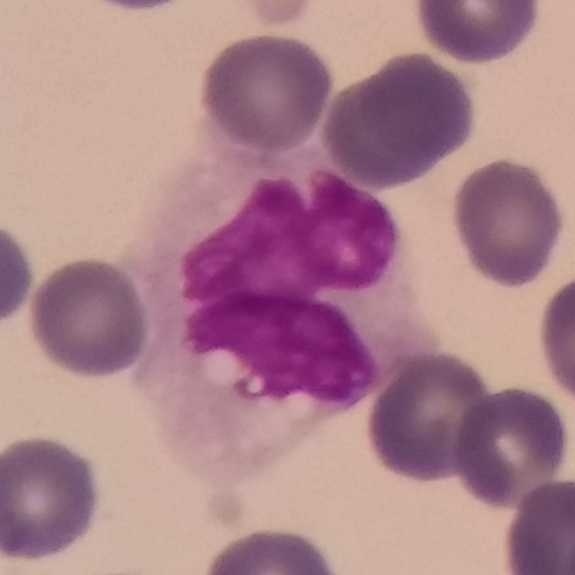
Specimen: peripheral blood smear.
Classification: monocyte.
Lineage: myeloid.